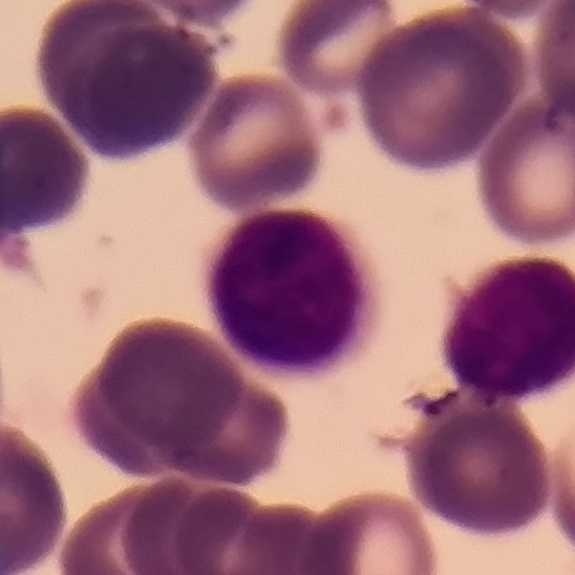 Preparation: Peripheral blood film. A lymphocyte.